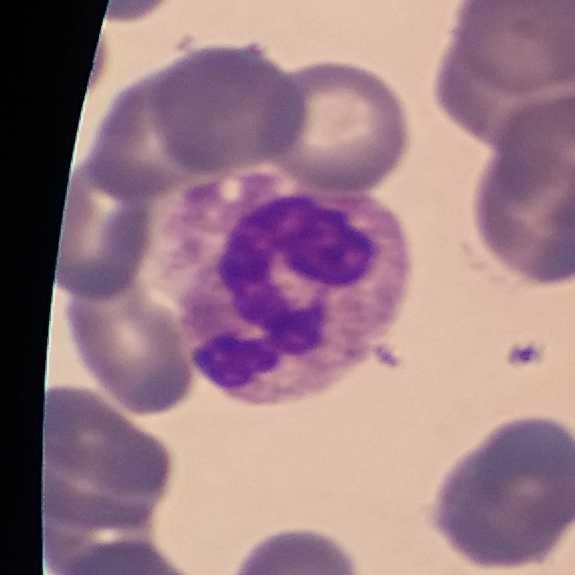

The morphological class is neutrophil granulocyte.